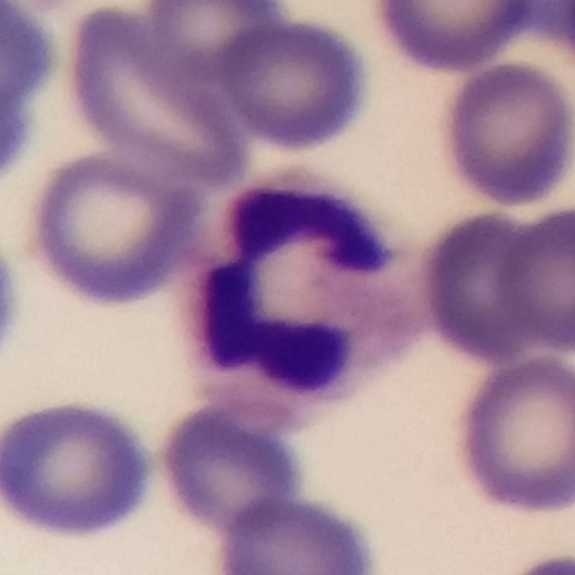 Peripheral blood film.
Cell type: neutrophilic granulocyte.